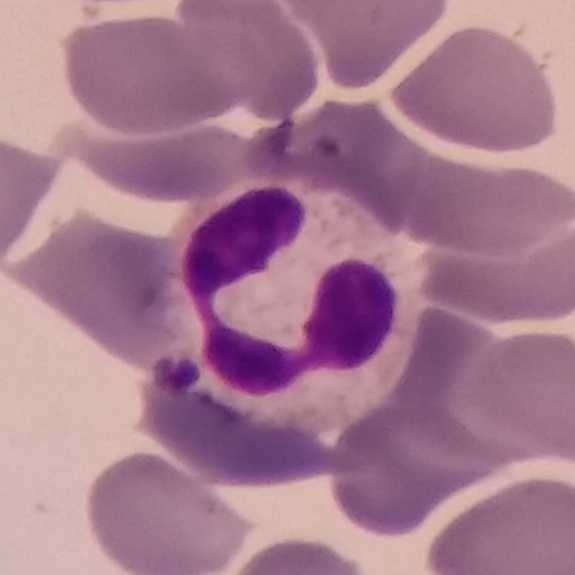
A neutrophil granulocyte.